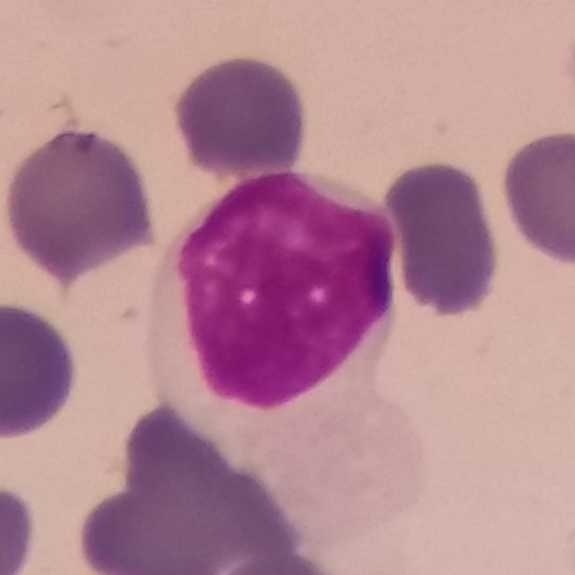Preparation: Smartphone photomicrograph · magnification 100× · peripheral blood film.
This is a lymphocyte.